Single white blood cell cropped from the smear photograph. Peripheral blood film.
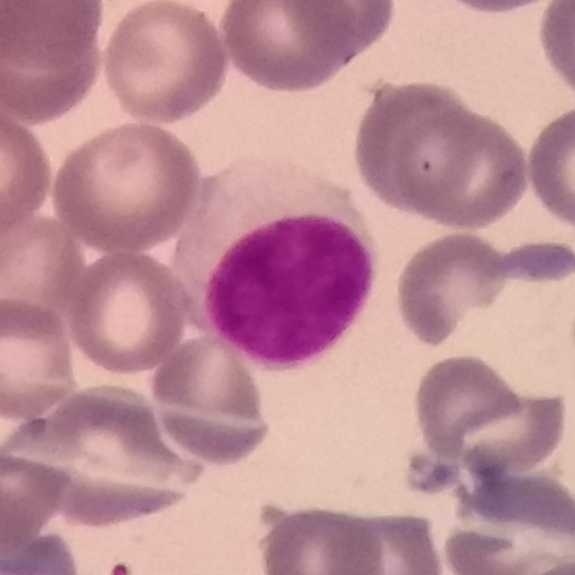
Q: Which cell type is shown here?
A: Lymphocyte.